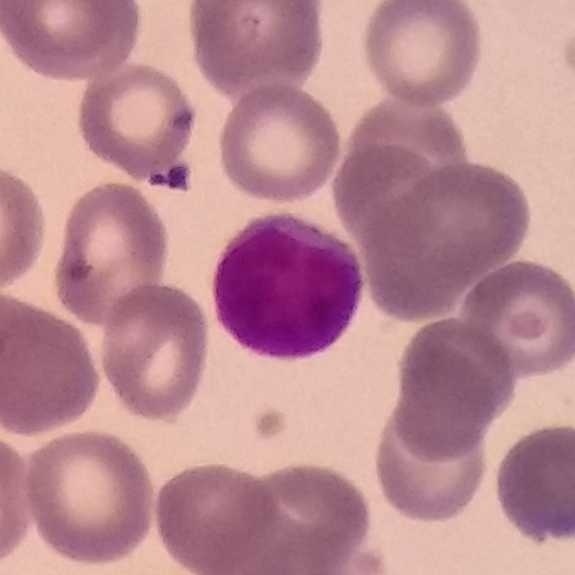 White blood cell type — lymphocyte.